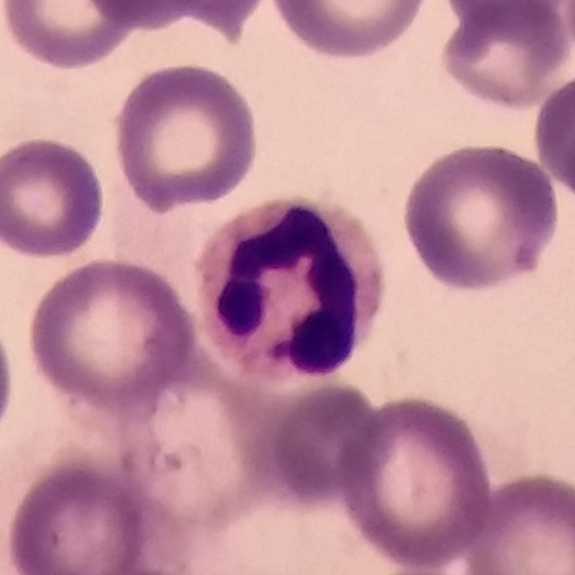 {"cell_type": "neutrophilic granulocyte", "lineage": "myeloid"}